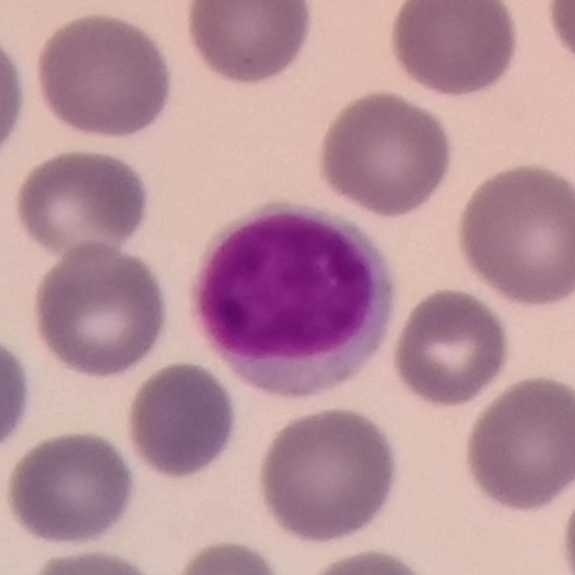Specimen: peripheral blood film.
Cell type: lymphocyte.
Lineage: lymphoid.